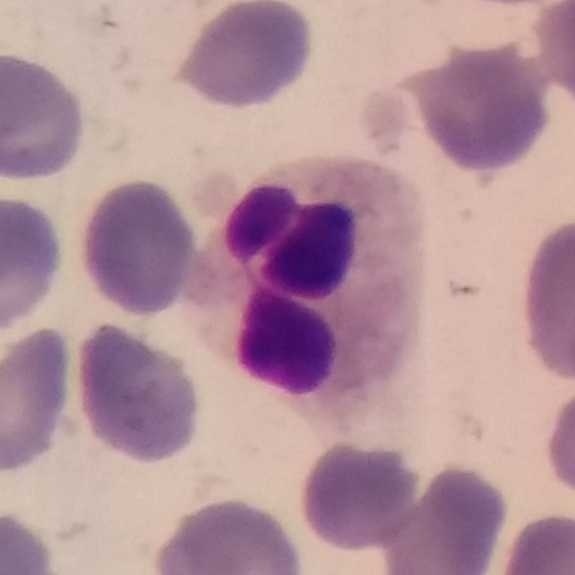

Image: Peripheral blood film. {"cell_type": "neutrophilic granulocyte", "lineage": "myeloid"}